Peripheral blood smear
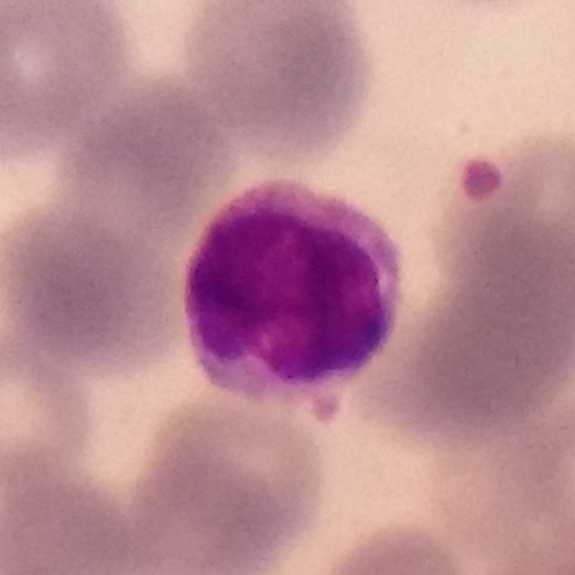
Impression → lymphocyte.